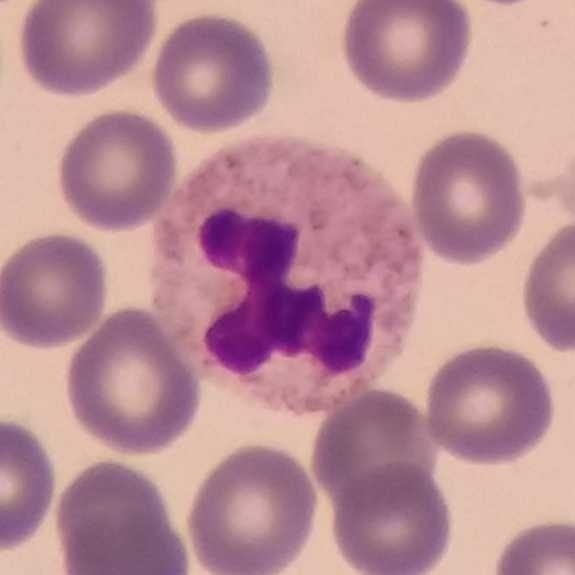
Context: Peripheral blood film · 575 by 575 pixels.

Q: What is the morphological classification of this cell?
A: It is a neutrophil.